100× magnification; peripheral blood film.
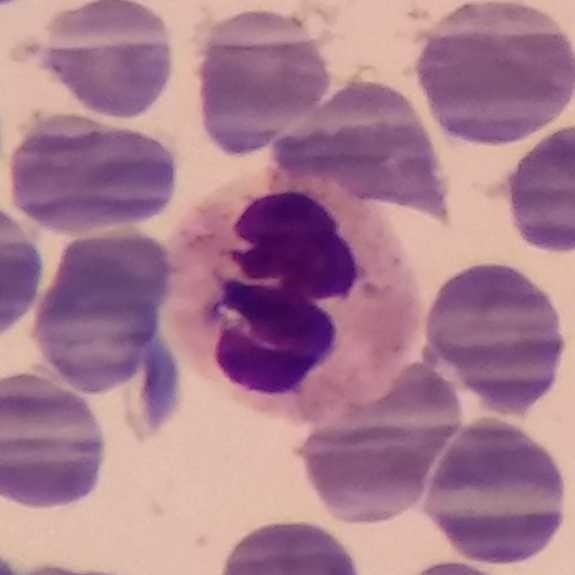

Identified as a neutrophilic granulocyte.